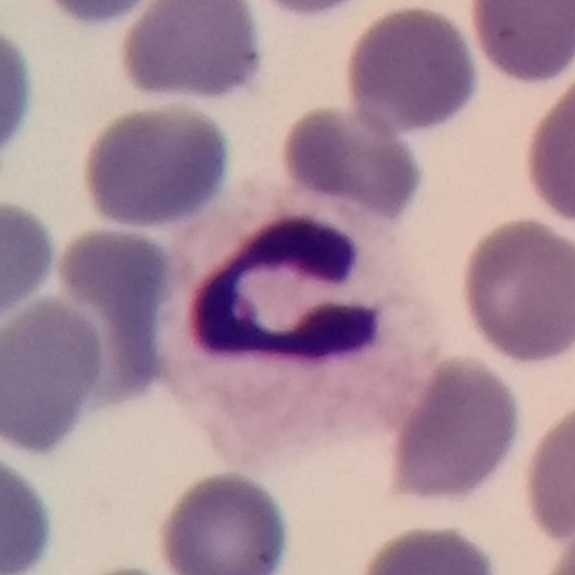
Image: Peripheral blood film. Morphology → neutrophil.